Peripheral blood film — 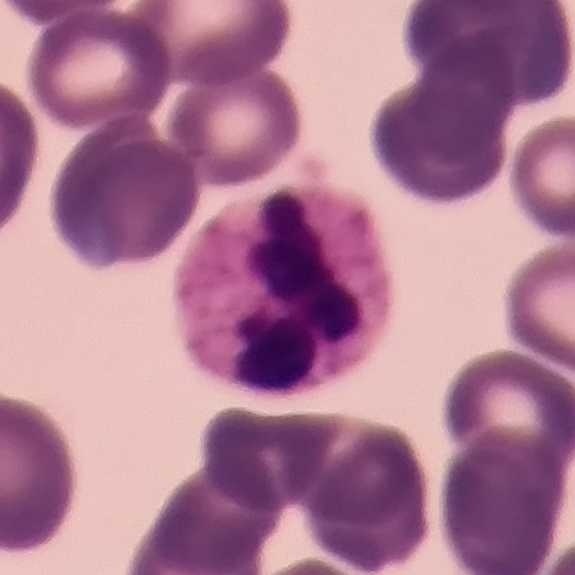

The morphological class is neutrophilic granulocyte.